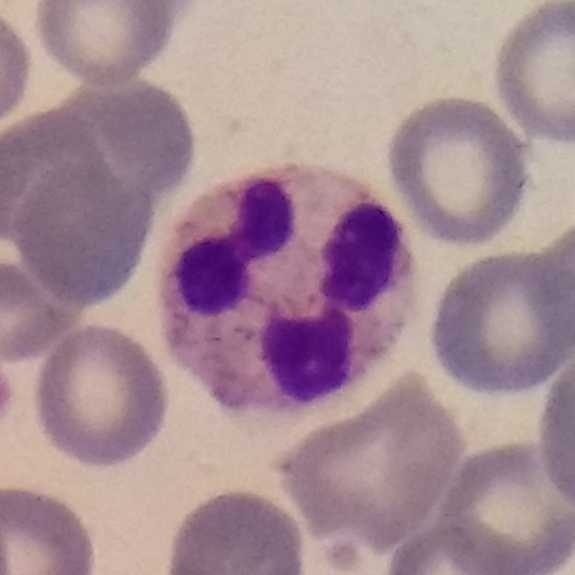

Classification = neutrophil granulocyte. Image: Peripheral blood film; cropped to one leukocyte.